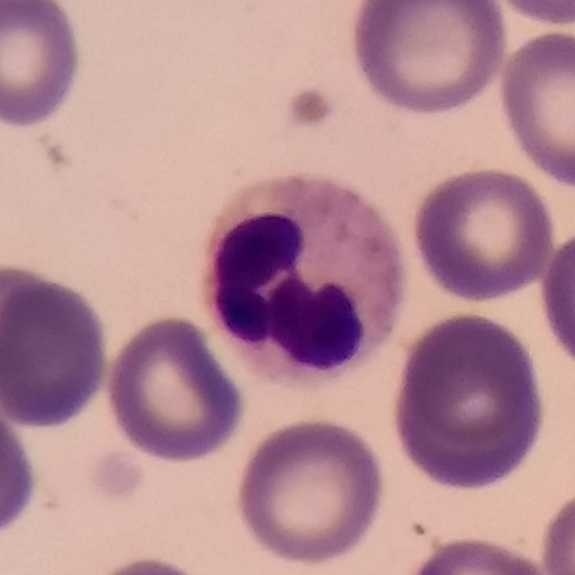 Preparation: Peripheral blood smear.
The cell shown is a neutrophilic granulocyte.